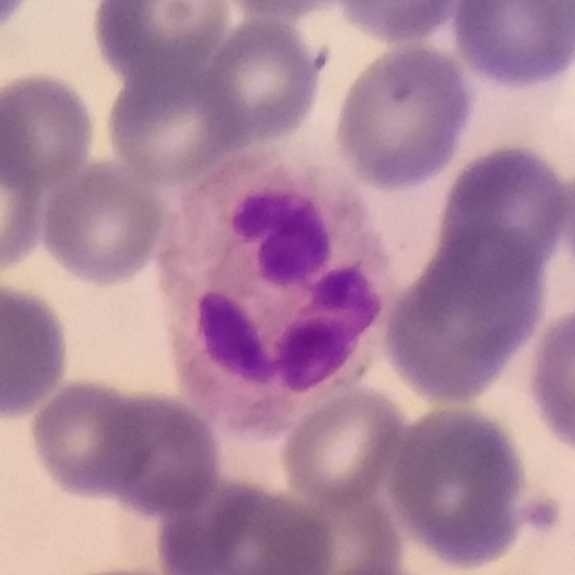
Q: Which type of white blood cell is this?
A: A neutrophil.
Context: Peripheral blood smear.